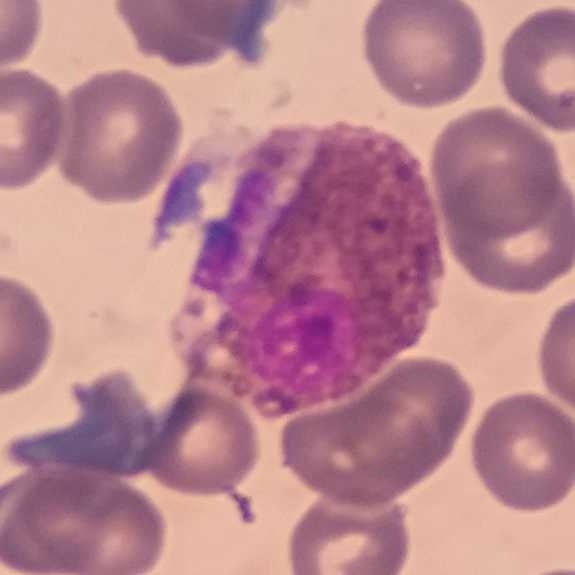Context: Peripheral blood smear. The cell shown is an eosinophilic granulocyte.